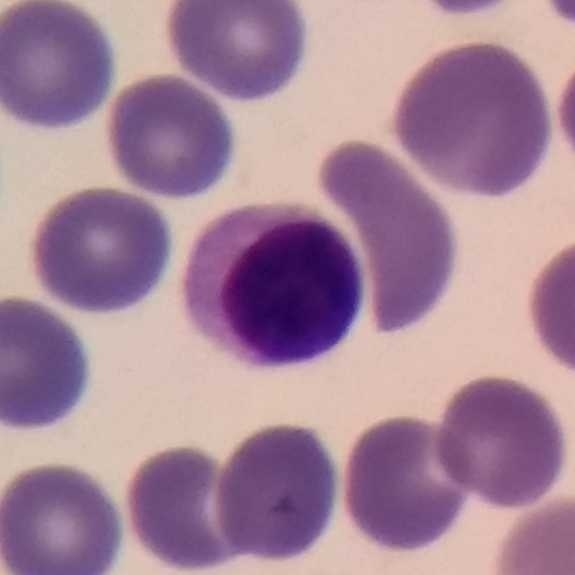 Showing a lymphocyte.

Peripheral blood film.